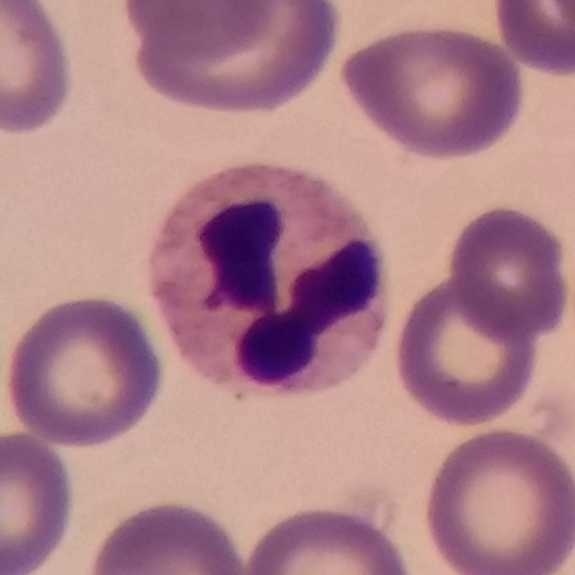

The cell type is neutrophilic granulocyte.